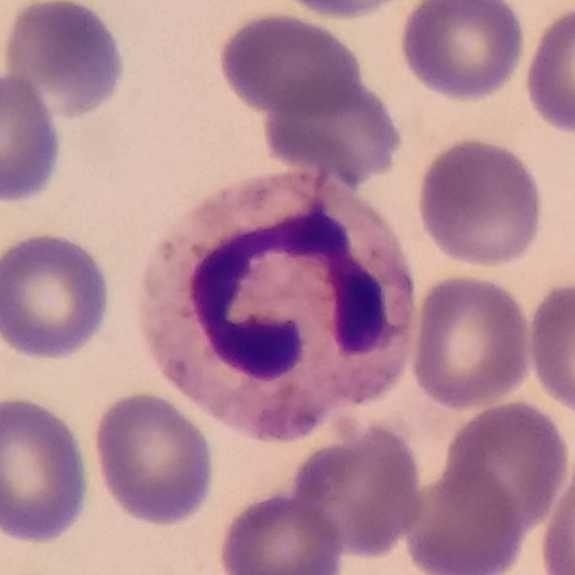
Acquisition: 575×575. Peripheral blood film. Smartphone camera mounted on the microscope eyepiece.

Neutrophil granulocyte.